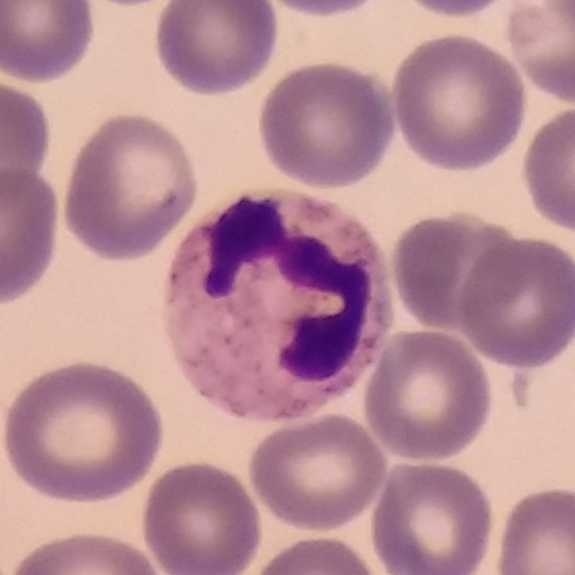
Acquisition: Giemsa-stained · single-cell crop · peripheral blood smear.

Cell — neutrophilic granulocyte.